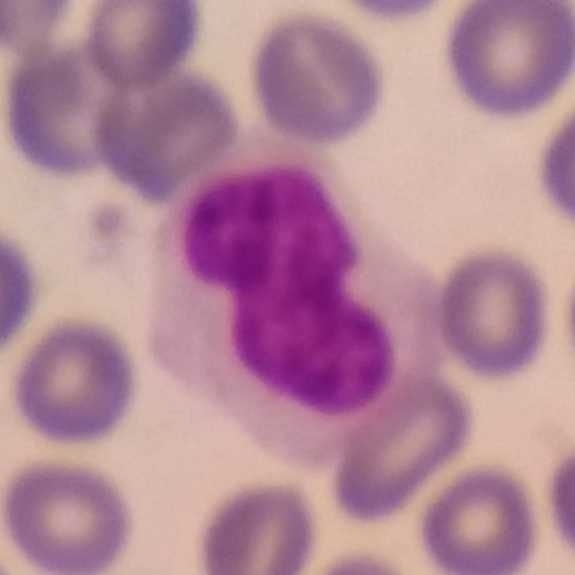
Impression — monocyte.